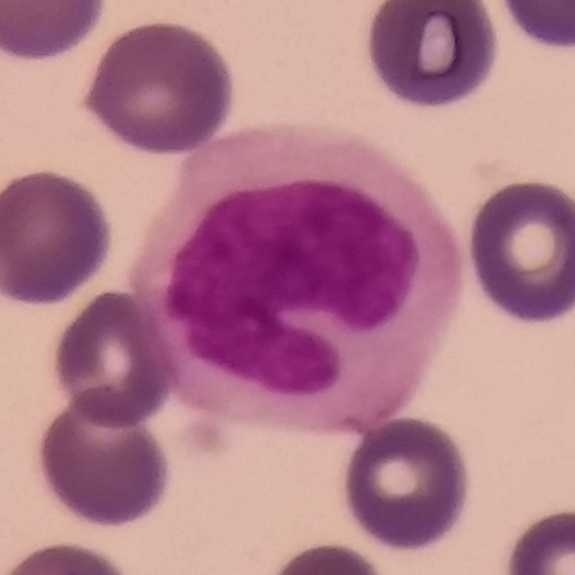
Specimen: peripheral blood smear.
White blood cell type: monocyte.

Magnification 100×.